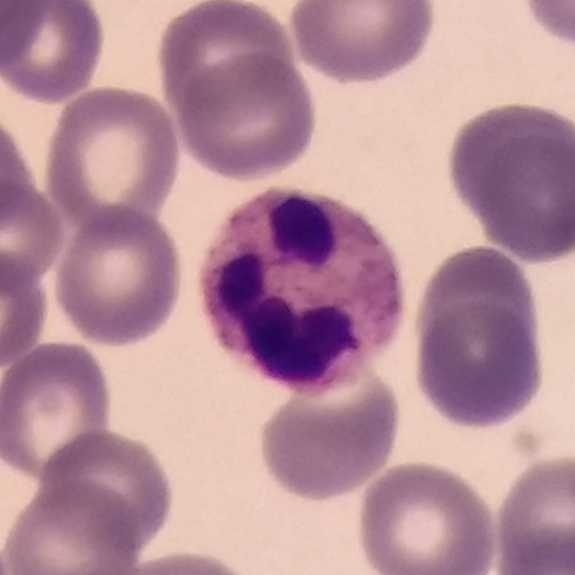

Q: Classify this leukocyte.
A: A neutrophil.